Peripheral blood smear: 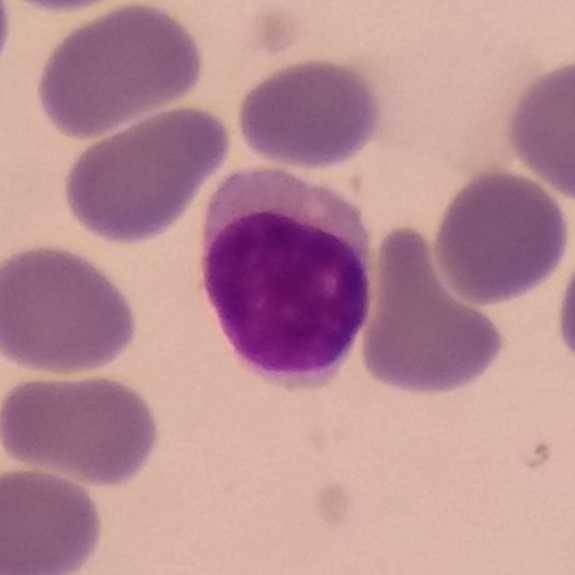
A lymphocyte.